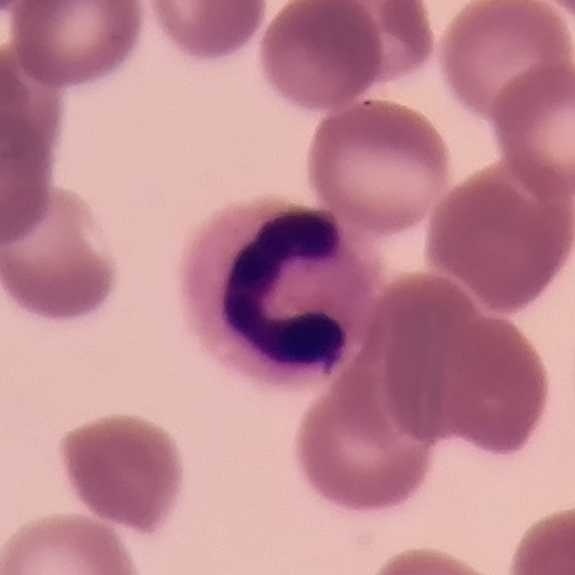

Single cell identified as a neutrophil.